Photographed through a light microscope with a smartphone camera; image size 575×575; peripheral blood smear:
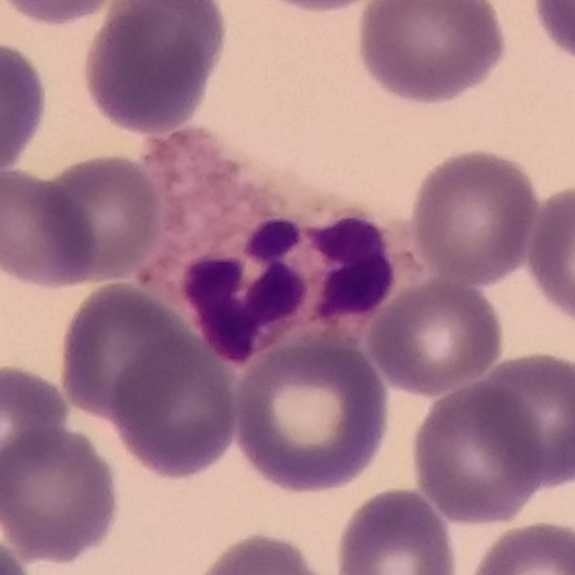
Neutrophil.